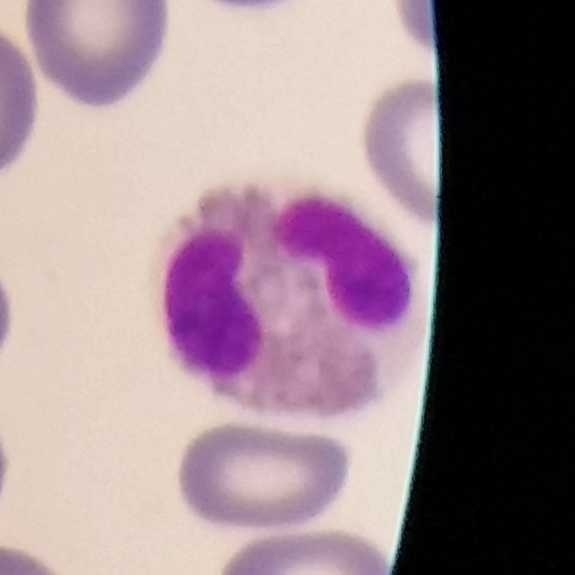Q: What is the morphological classification of this cell?
A: This is an eosinophilic granulocyte.

Image: Peripheral blood film. Stained with Giemsa. Phone-camera image taken through the microscope ocular.